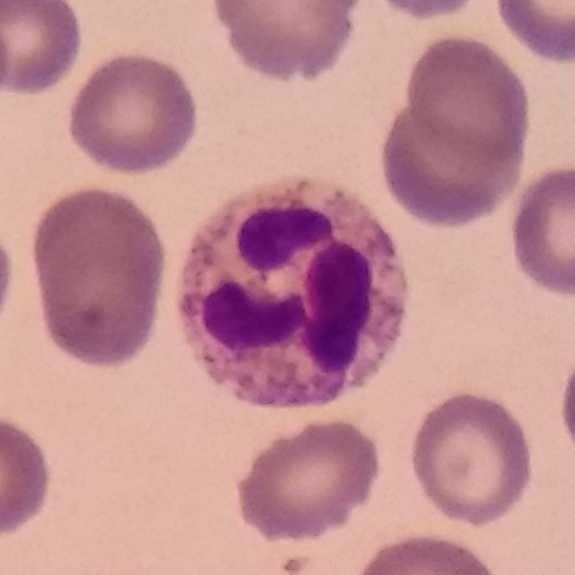
Classification — neutrophilic granulocyte.

Preparation: Peripheral blood film.